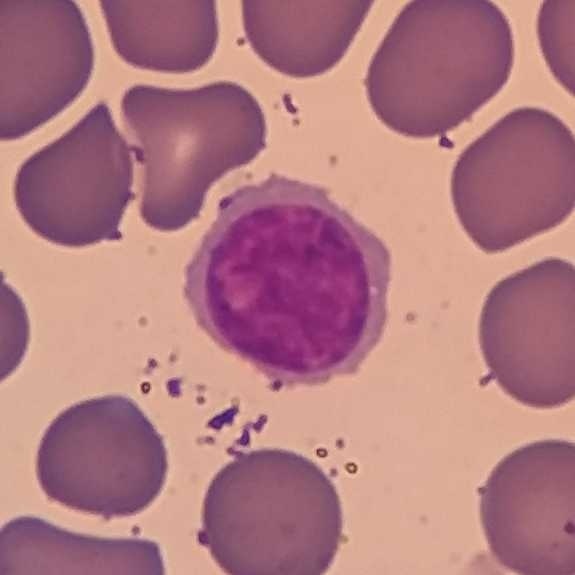Classification — lymphocyte.
Image: Peripheral blood film.